Peripheral blood film.
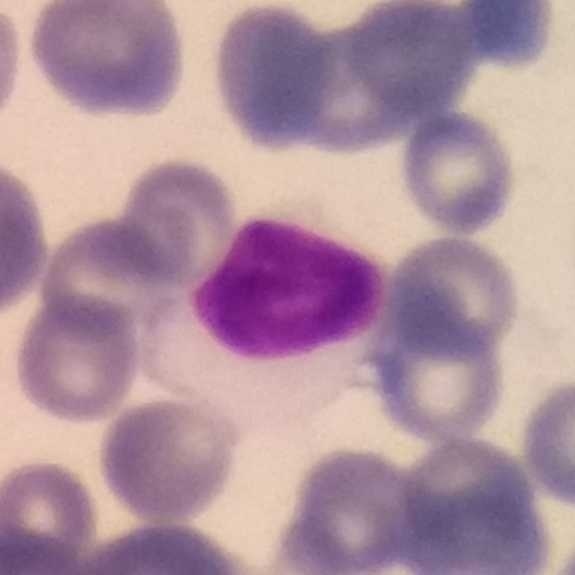Classification = lymphocyte.